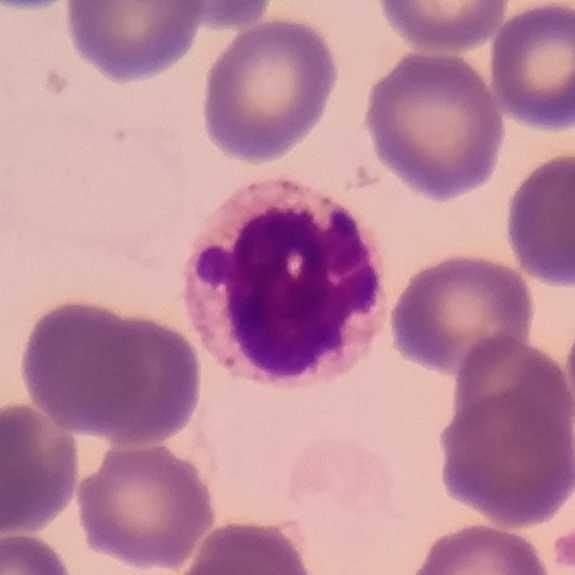
Specimen: peripheral blood film.
Classification: neutrophilic granulocyte.